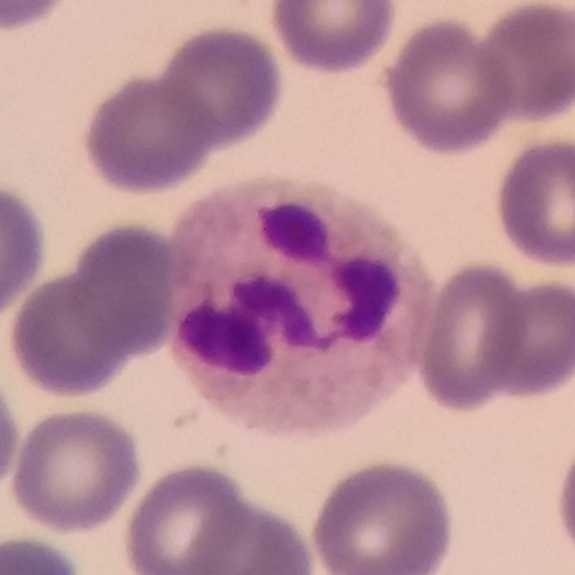
Peripheral blood smear. A neutrophil granulocyte.